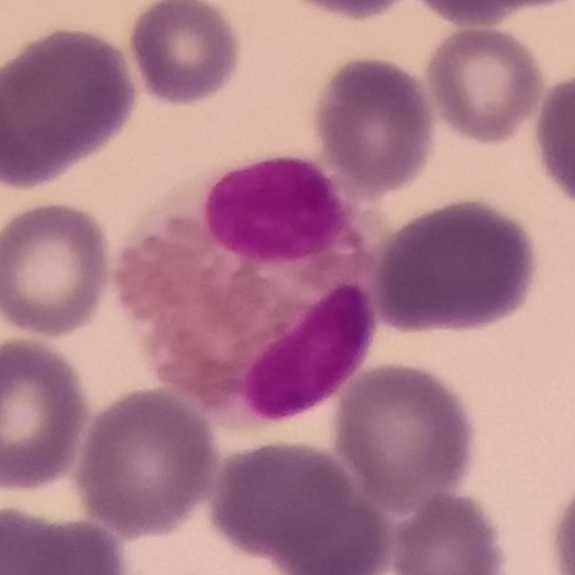
White blood cell type — eosinophil.

Image: Peripheral blood smear.